Peripheral blood smear · image size 575×575.
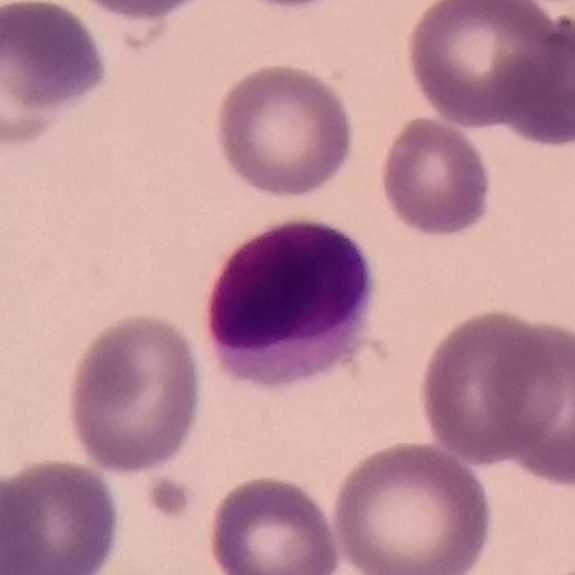 {"cell_type": "lymphocyte", "lineage": "lymphoid"}